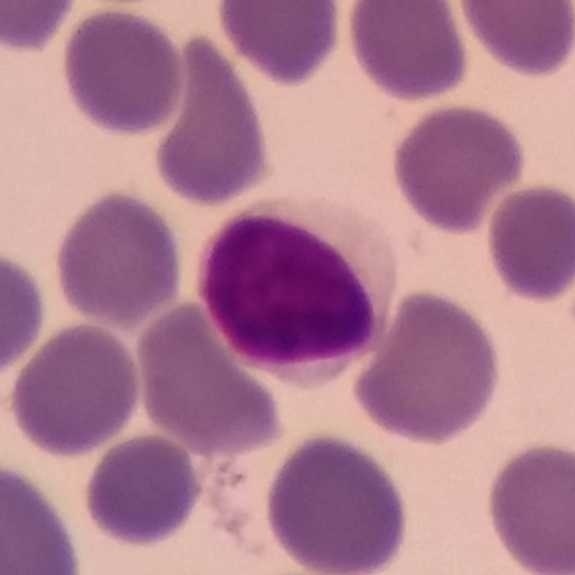 Specimen: peripheral blood film.
White blood cell type: lymphocyte.
Lineage: lymphoid.